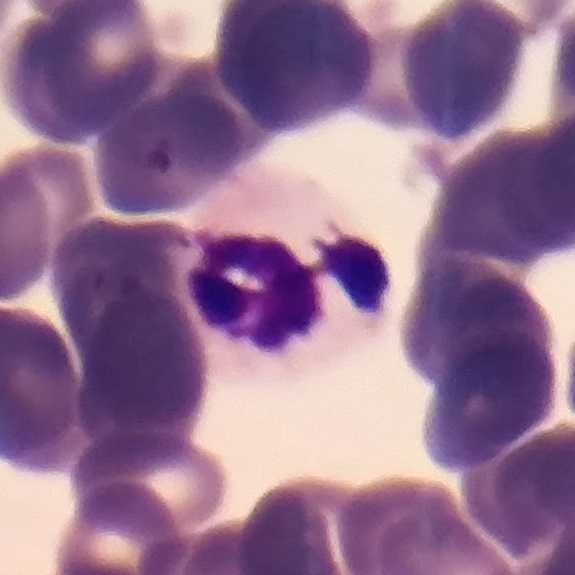 Peripheral blood film.
Q: What is this?
A: It is a neutrophilic granulocyte.